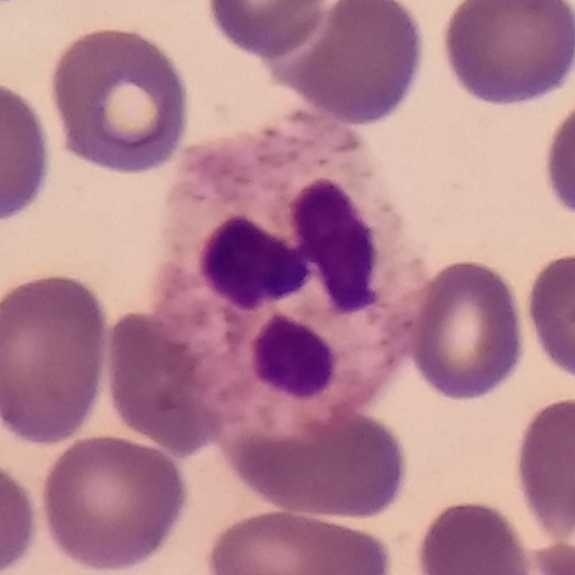

Single cell identified as a neutrophil granulocyte.

Peripheral blood film · Giemsa stain · single-cell field.